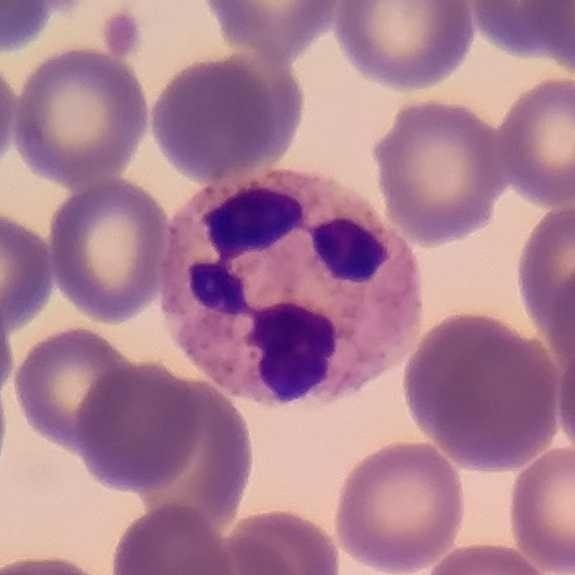

Q: Which cell type is shown here?
A: A neutrophilic granulocyte.

Peripheral blood smear.